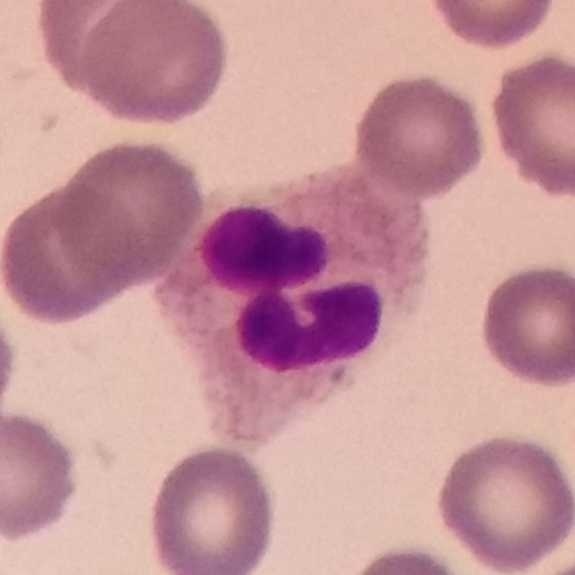

Preparation: Giemsa stain; peripheral blood smear.

Q: Identify the cell.
A: This is a neutrophil.